Peripheral blood film.
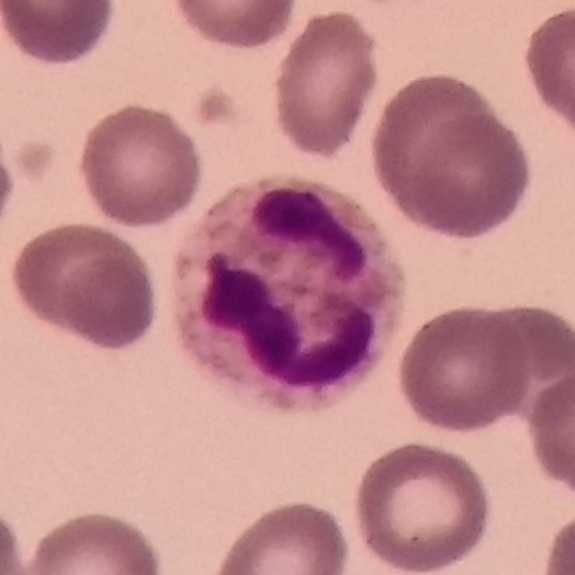Classification: neutrophilic granulocyte.